Peripheral blood film:
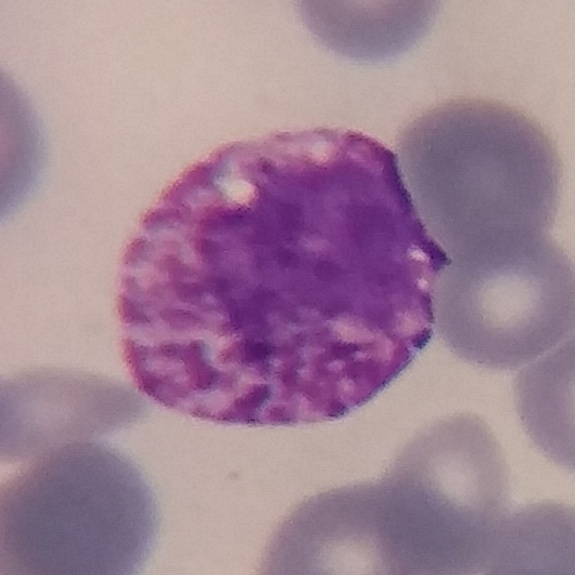
Morphology → basophilic granulocyte.